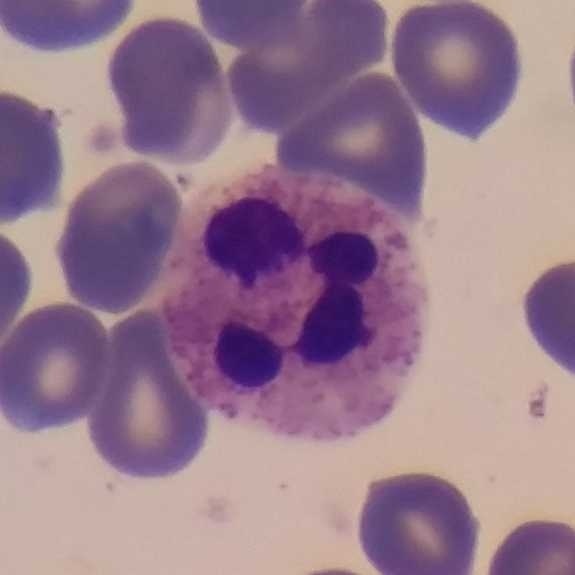
Preparation: Stained with Giemsa.
Specimen: peripheral blood smear.
Classification: neutrophilic granulocyte.